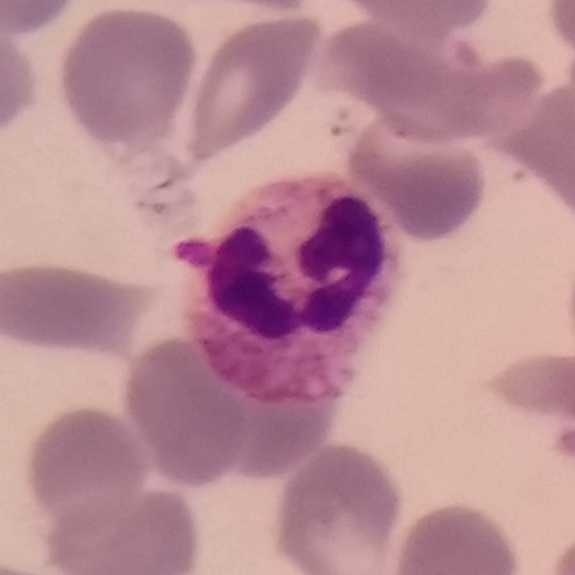

Morphological class — neutrophil.
Smartphone photomicrograph. Giemsa-stained. Peripheral blood film.